100× magnification · peripheral blood smear:
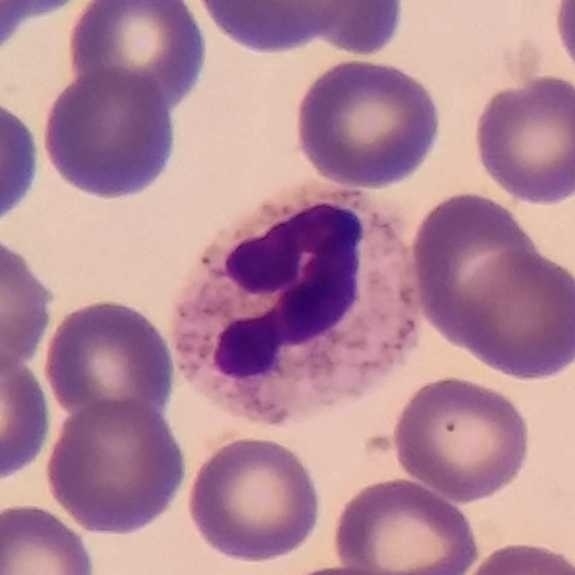
{"cell_type": "neutrophil", "lineage": "myeloid"}